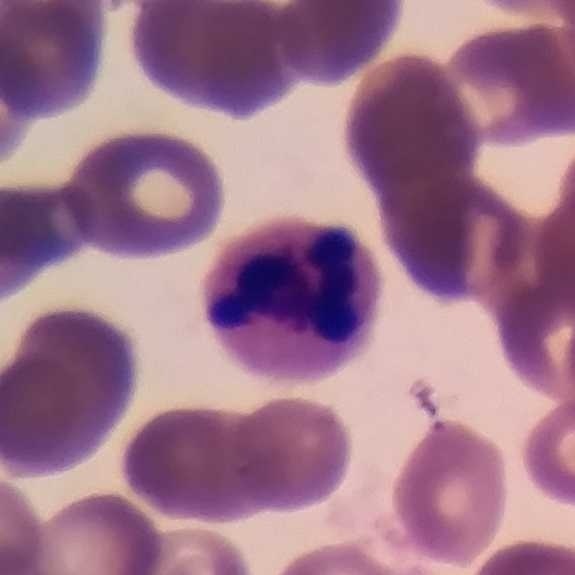
{"cell_type": "neutrophilic granulocyte", "lineage": "myeloid"}